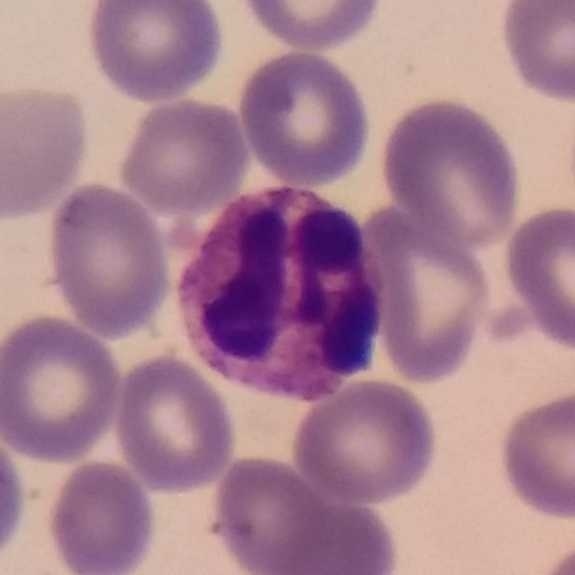

Classification: neutrophilic granulocyte.